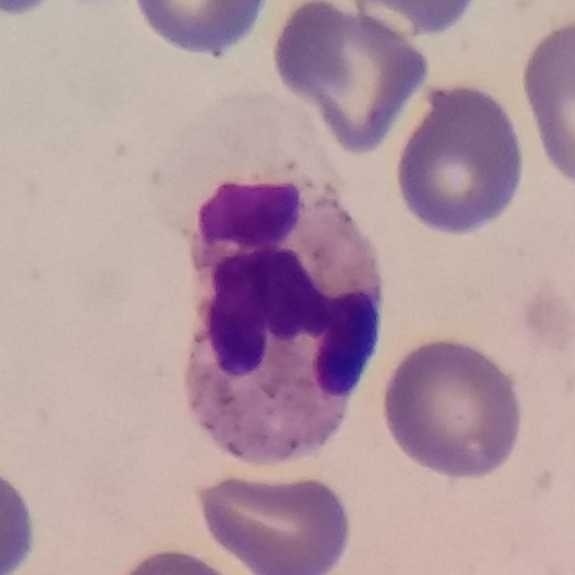
{"cell_type": "neutrophilic granulocyte"}